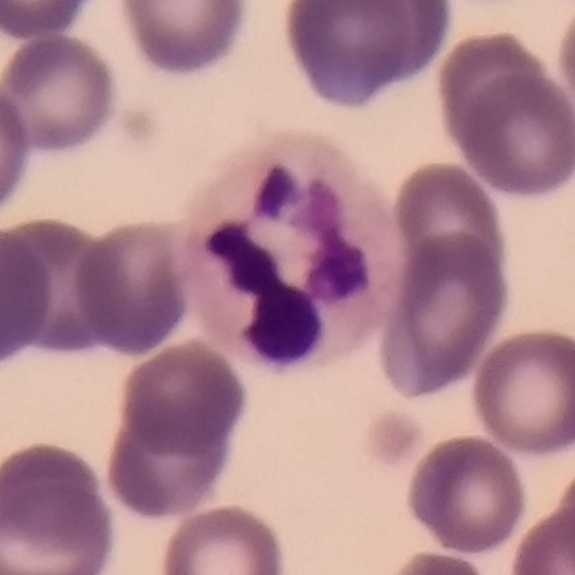

Cell: neutrophil granulocyte.
Stained with Giemsa · single-cell field · peripheral blood smear.